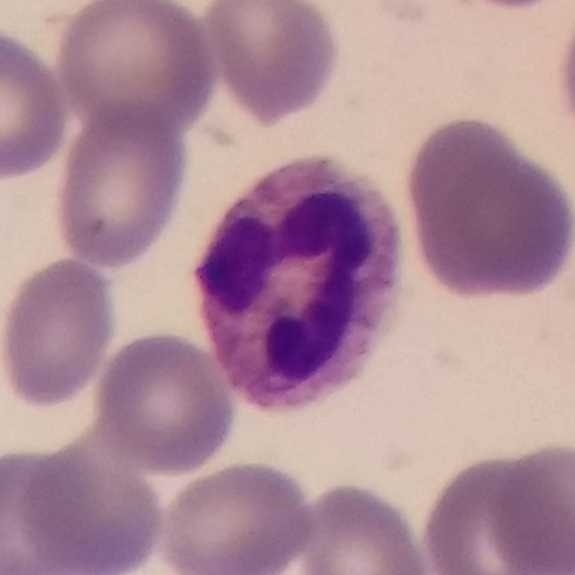

Neutrophilic granulocyte.

Acquisition: Peripheral blood smear.